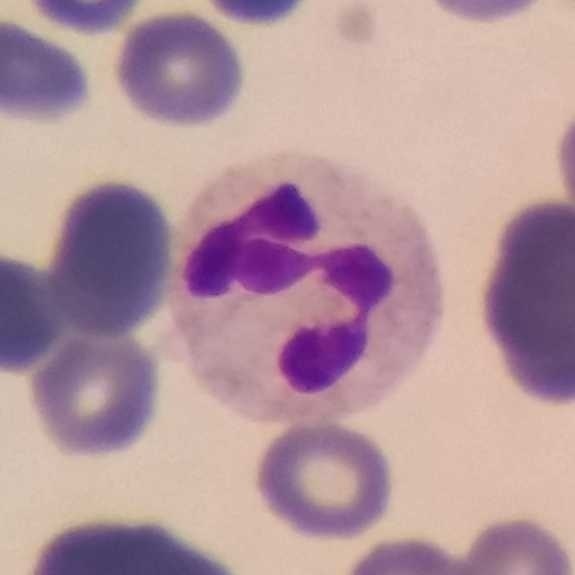 The white blood cell type is neutrophil.
Preparation: Peripheral blood smear; Giemsa stain.